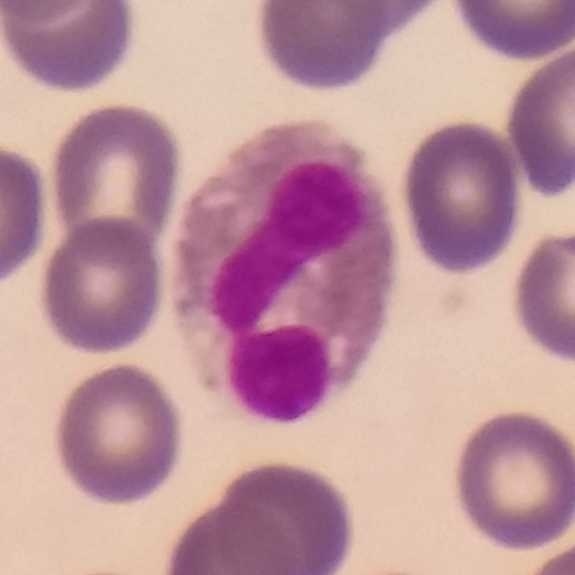

Peripheral blood smear; single white blood cell cropped from the smear photograph; smartphone camera mounted on the microscope eyepiece.

The white blood cell type is eosinophilic granulocyte.